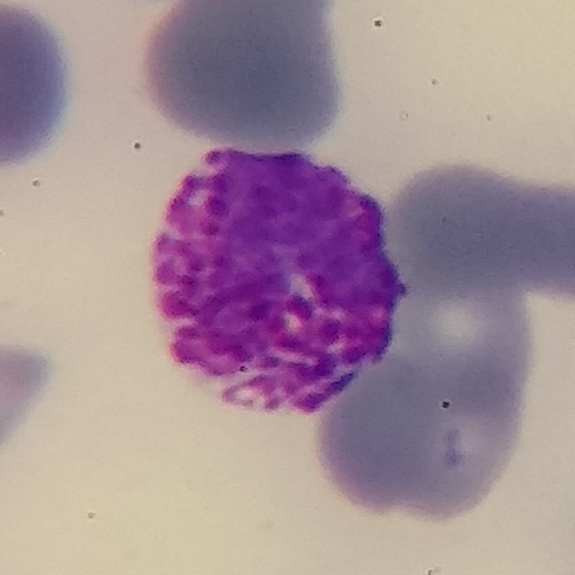 Peripheral blood film.
Q: Which type of white blood cell is this?
A: This is a basophil.